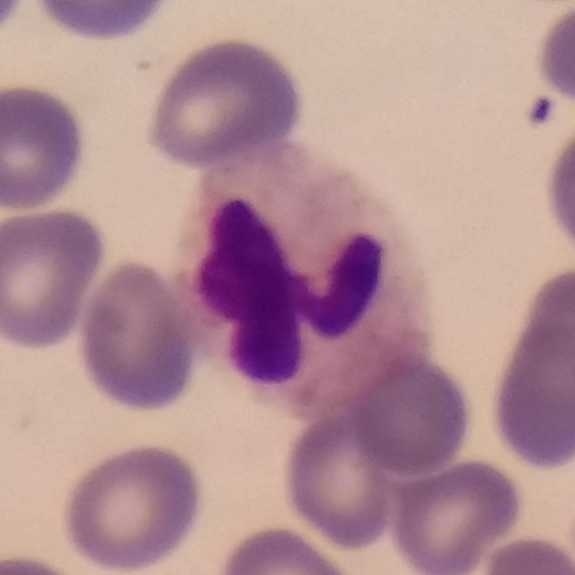

Showing a neutrophil granulocyte.

Preparation: Peripheral blood smear.